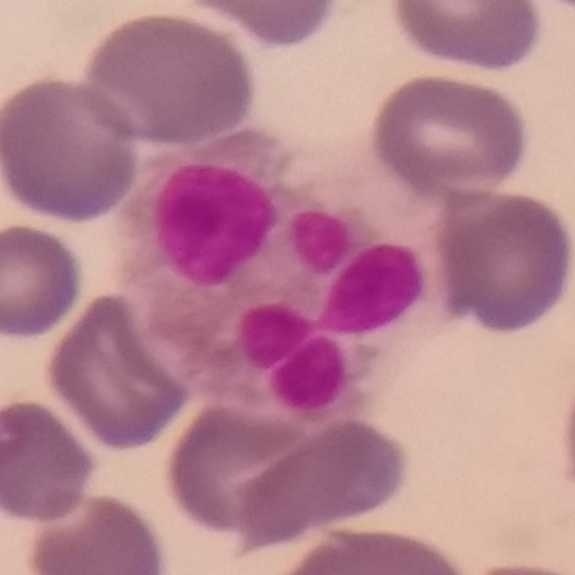 White blood cell type = eosinophilic granulocyte. Peripheral blood smear.